Smartphone photomicrograph · peripheral blood film.
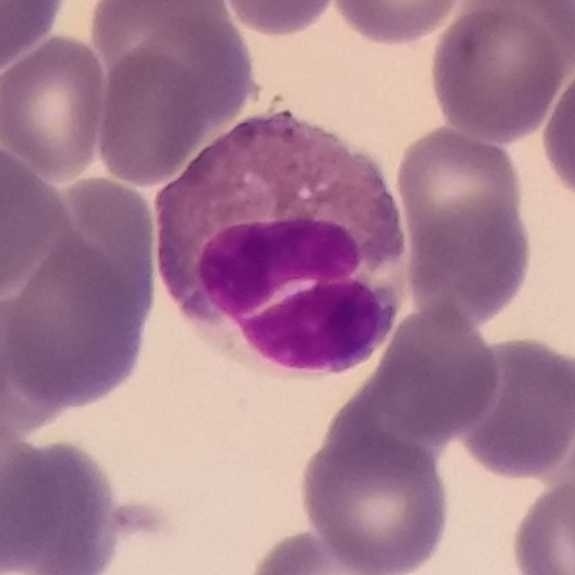 Specimen: peripheral blood film.
Cell: eosinophil.